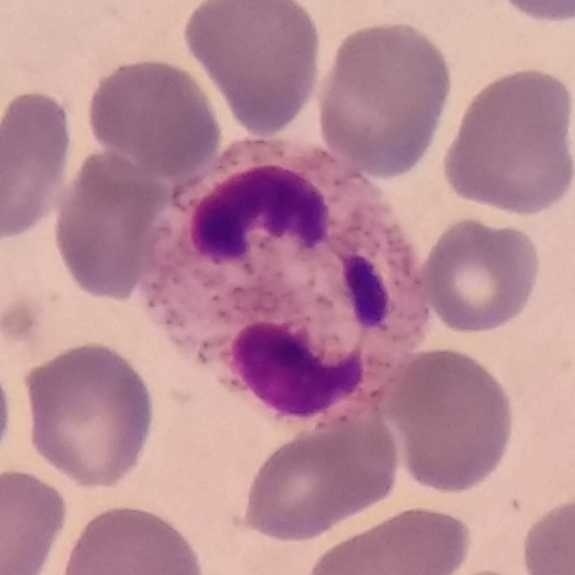Impression — neutrophilic granulocyte.